Peripheral blood smear; Giemsa stain
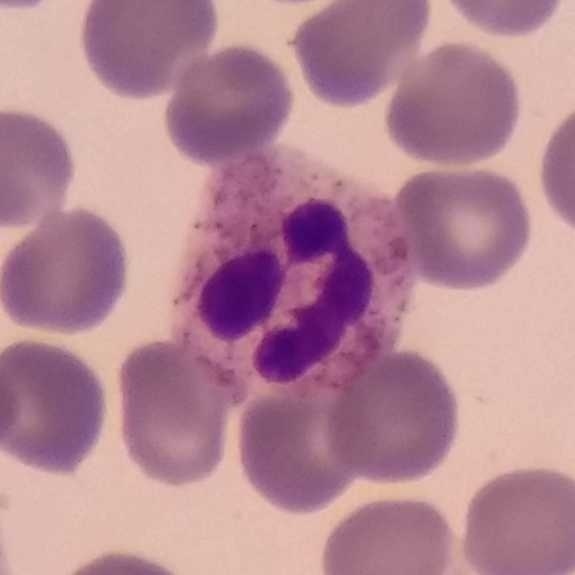 Morphological class = neutrophilic granulocyte.